Smartphone camera mounted on the microscope eyepiece; peripheral blood film:
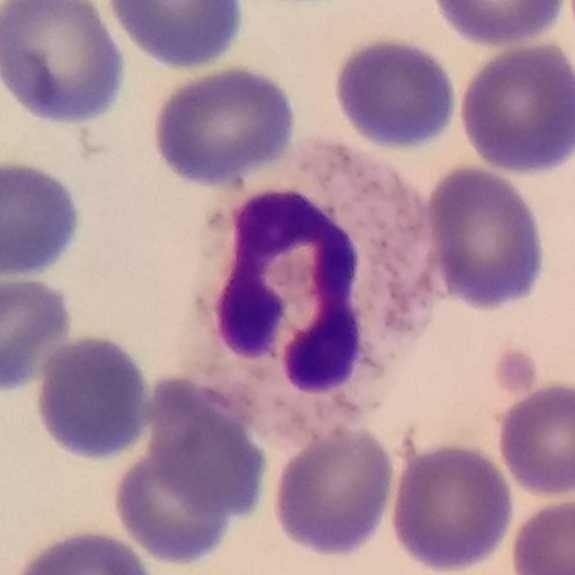Morphology — neutrophil granulocyte.